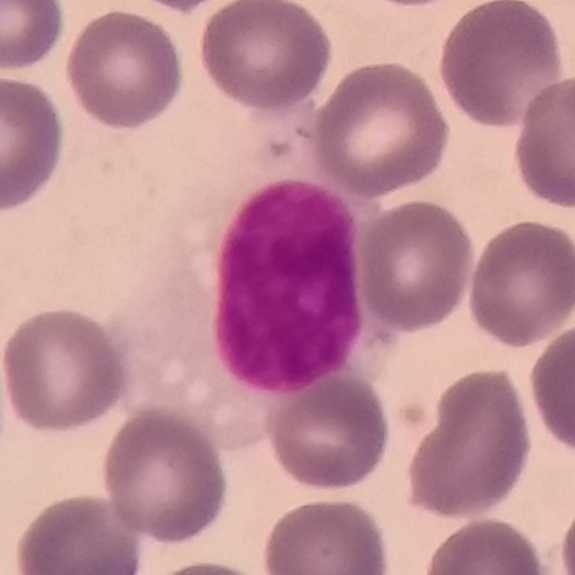Q: What cell is this?
A: It is a lymphocyte.

Preparation: Peripheral blood film.